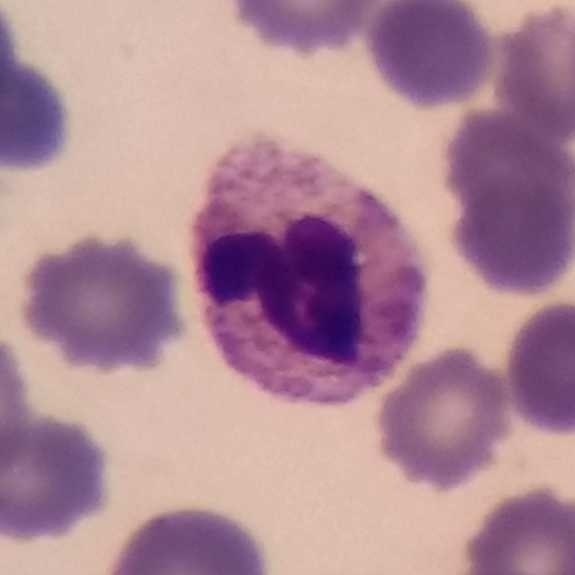Q: Identify the cell.
A: It is a neutrophilic granulocyte.